Peripheral blood smear
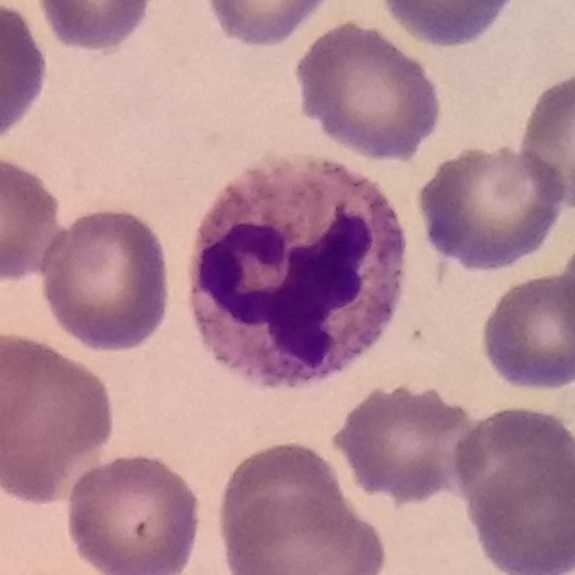The cell shown is a neutrophil.